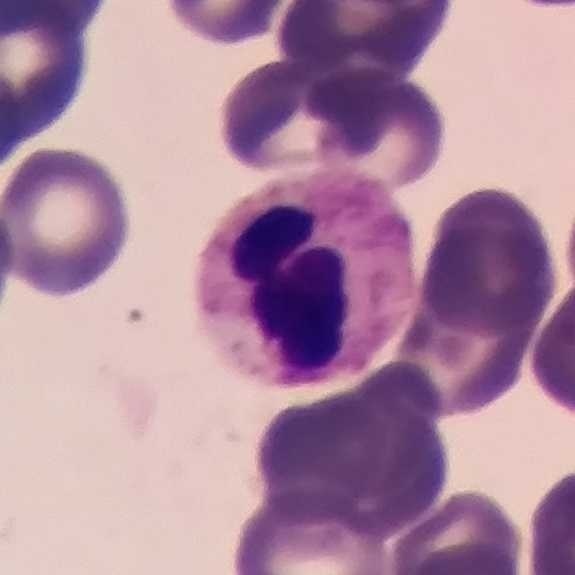

The cell type is neutrophil granulocyte.